Magnification 100× · peripheral blood smear · single white blood cell cropped from the smear photograph
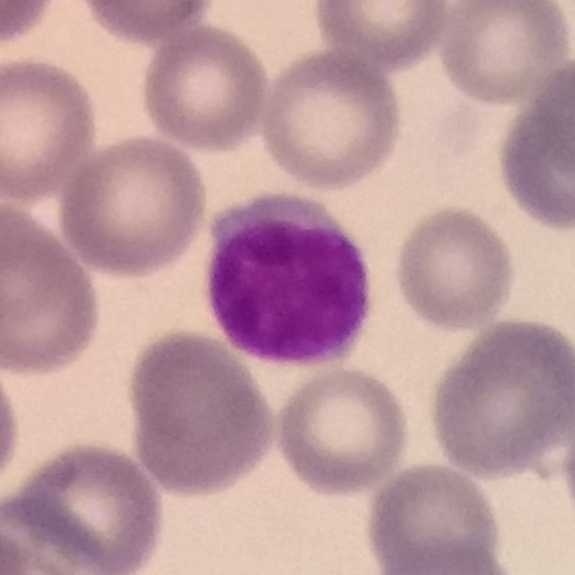Specimen: peripheral blood film.
Classification: lymphocyte.